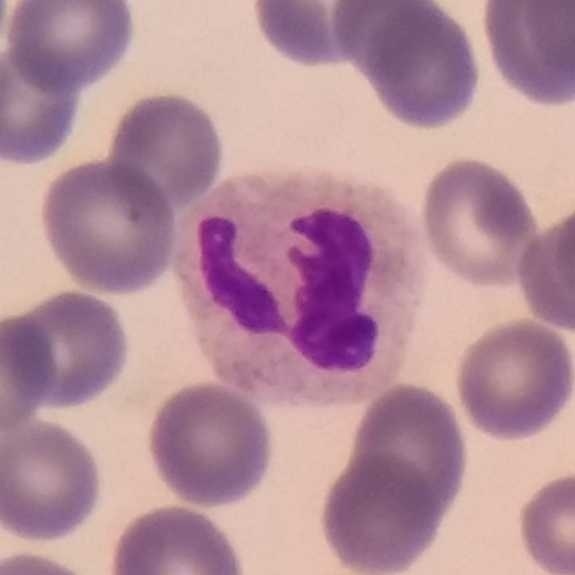

Acquisition: Image size 575×575. Magnification 100×. Peripheral blood smear. The morphological class is neutrophilic granulocyte.